Peripheral blood smear
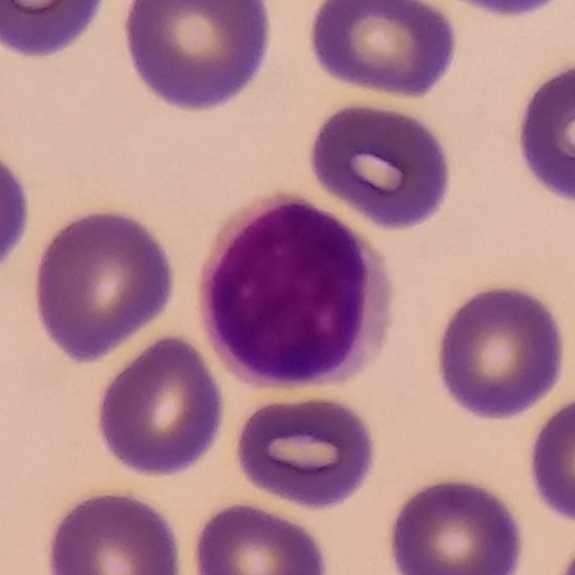 Impression → lymphocyte.